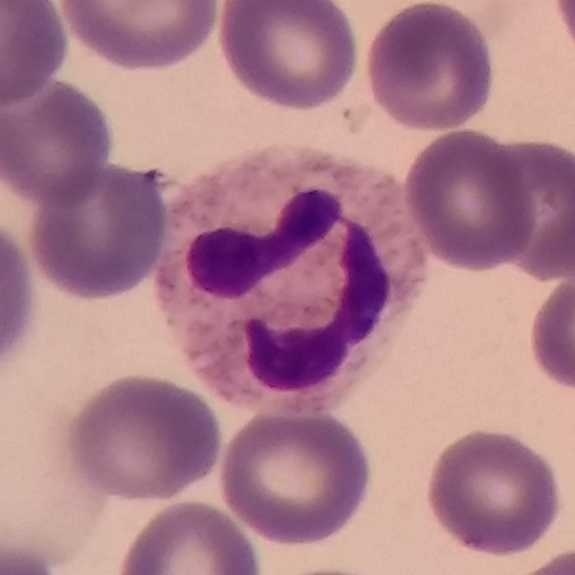

Peripheral blood film; cropped to one leukocyte.

Q: Which type of white blood cell is this?
A: Neutrophilic granulocyte.